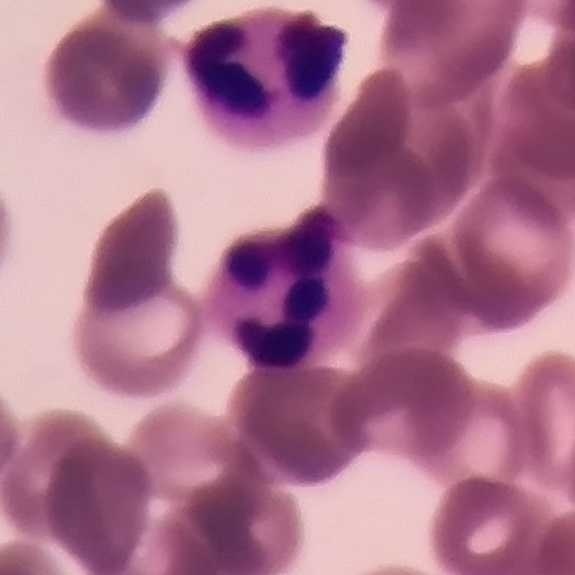
Specimen: peripheral blood film.
Cell type: neutrophil.